Smartphone camera mounted on the microscope eyepiece. Peripheral blood film — 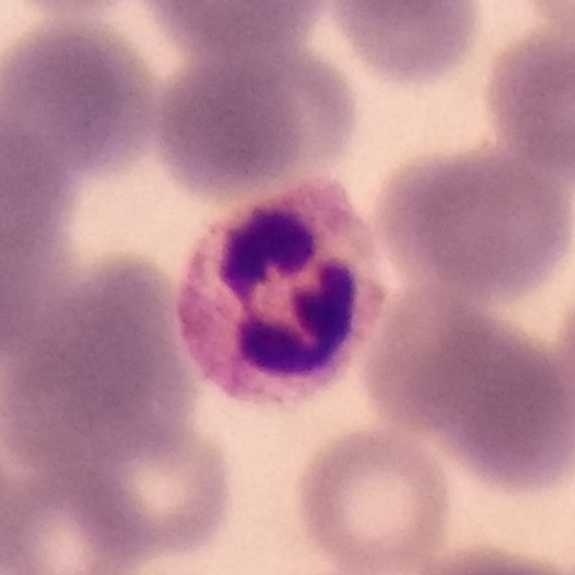

Morphology — neutrophil.